Cropped to one leukocyte. Image size 575×575. Peripheral blood smear: 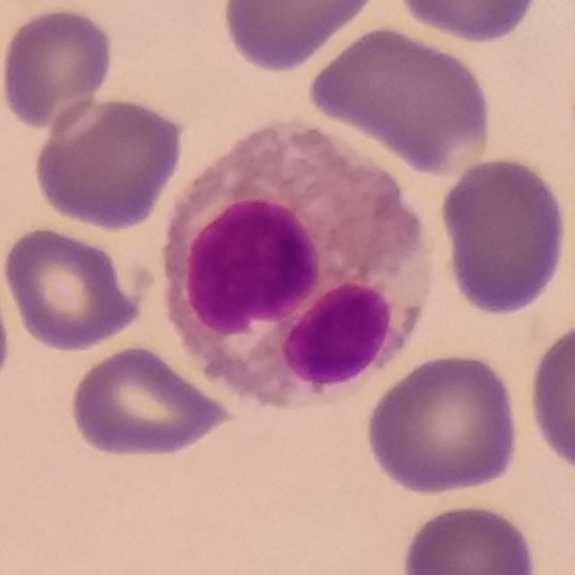 Showing an eosinophil.